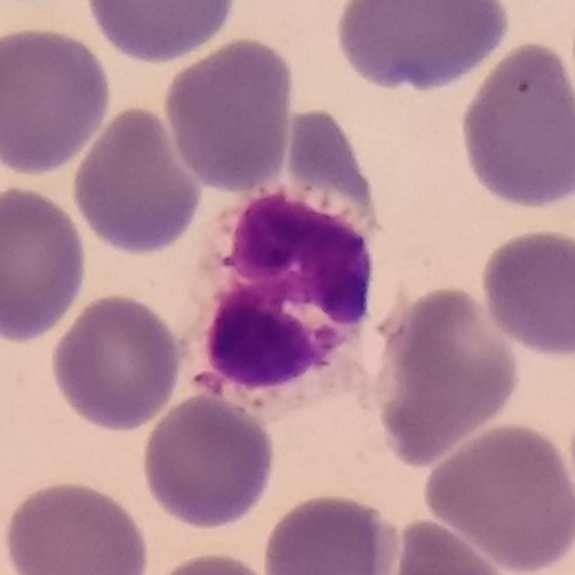 Preparation: Peripheral blood film. Magnification 100×. The white blood cell type is neutrophil.